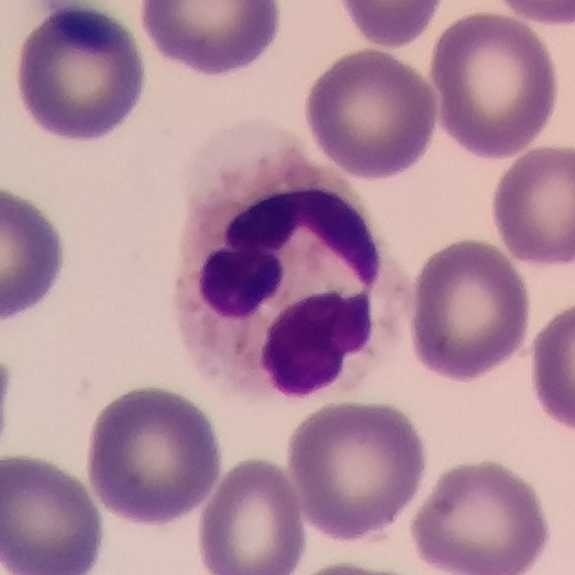

Context: Peripheral blood smear.
Impression → neutrophil.